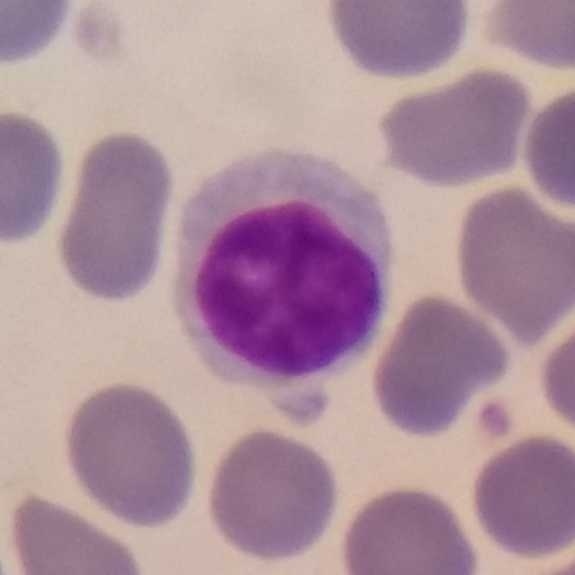

Morphological class — lymphocyte.
Preparation: 575×575 · peripheral blood smear.